575×575 px. Peripheral blood film: 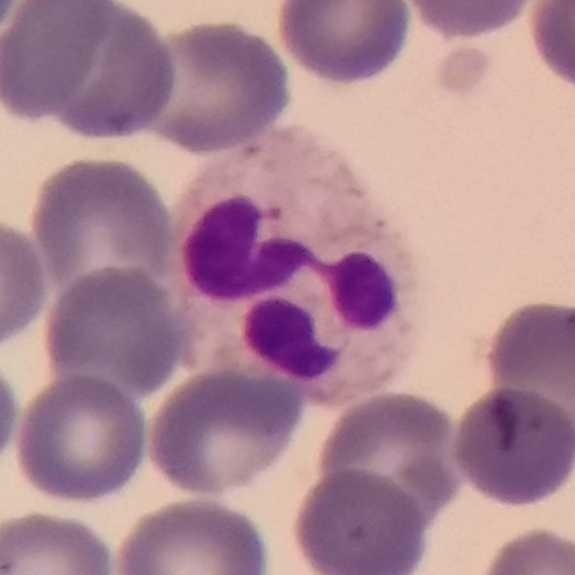
{"cell_type": "neutrophil granulocyte"}